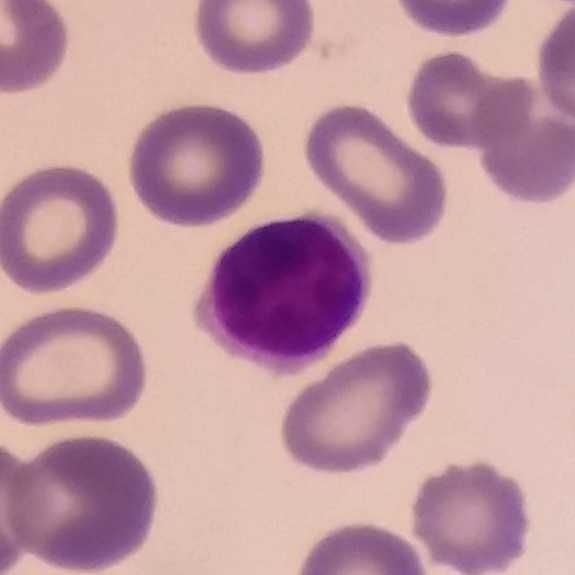

Q: What cell is this?
A: This is a lymphocyte.